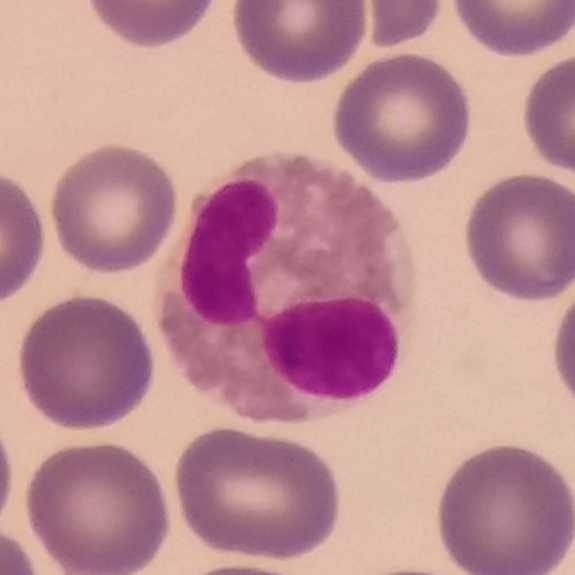

Specimen: peripheral blood smear.
Classification: eosinophilic granulocyte.
Lineage: myeloid.